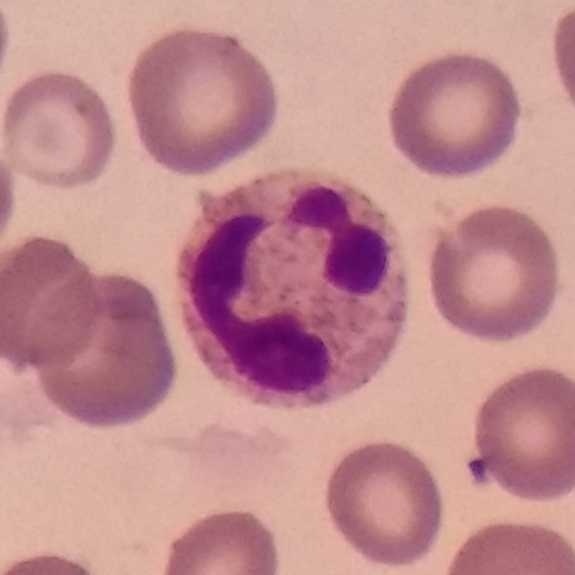 Morphology → neutrophil granulocyte.

Peripheral blood film.